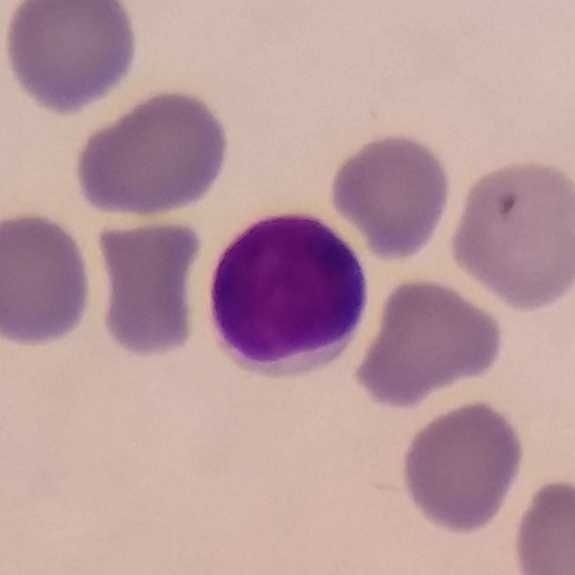
Q: What is this?
A: This is a lymphocyte.
Context: Peripheral blood film · image size 575×575.